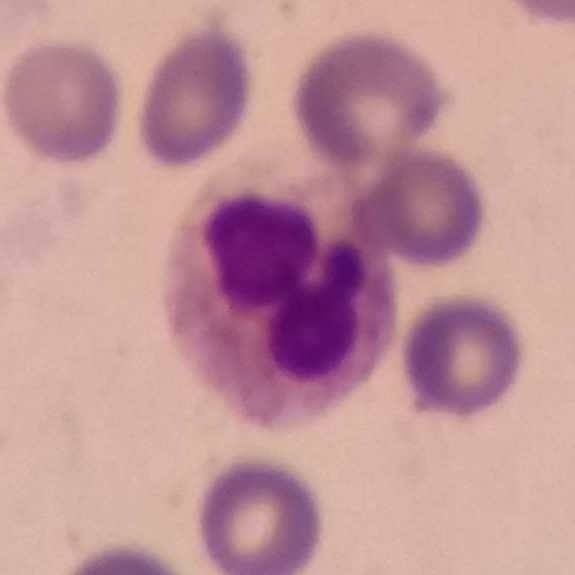
The cell type is neutrophil granulocyte.